575×575 · peripheral blood smear · cropped to one leukocyte.
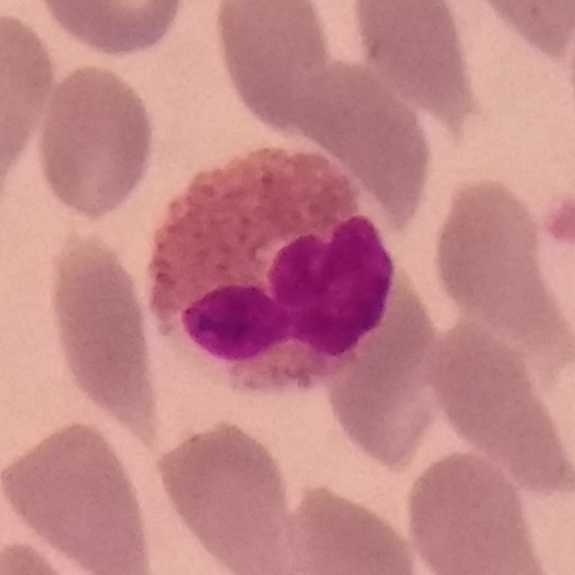 Showing an eosinophil.